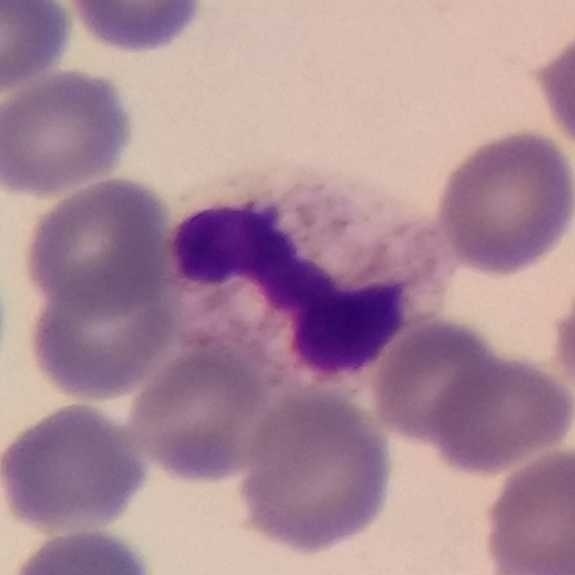

The cell shown is a neutrophil.
Peripheral blood film.